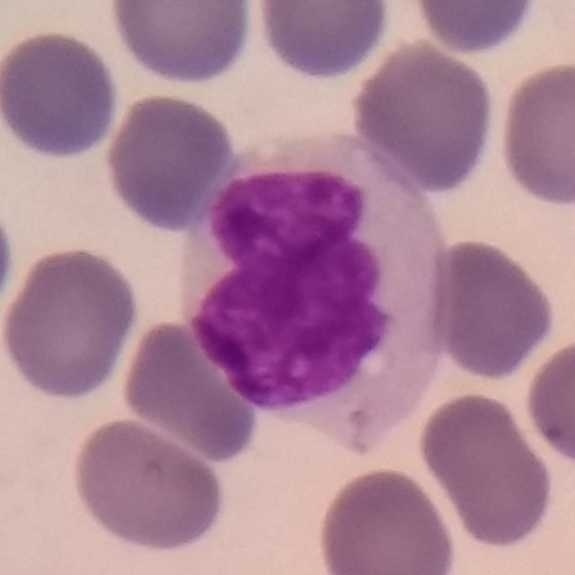
A monocyte on a peripheral blood smear.